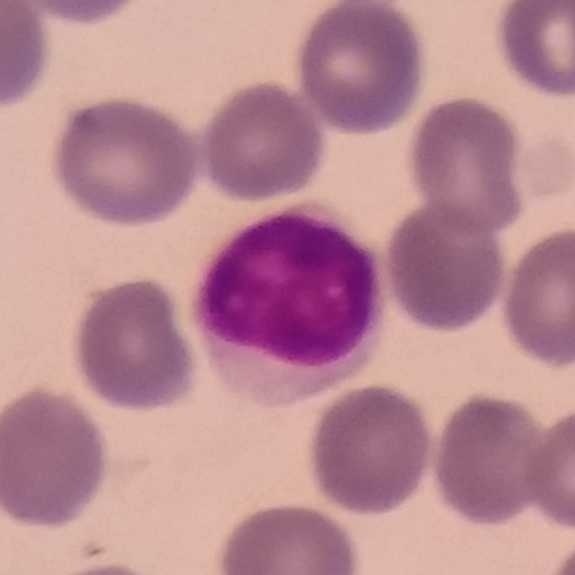

100× magnification; peripheral blood smear. The white blood cell type is lymphocyte.